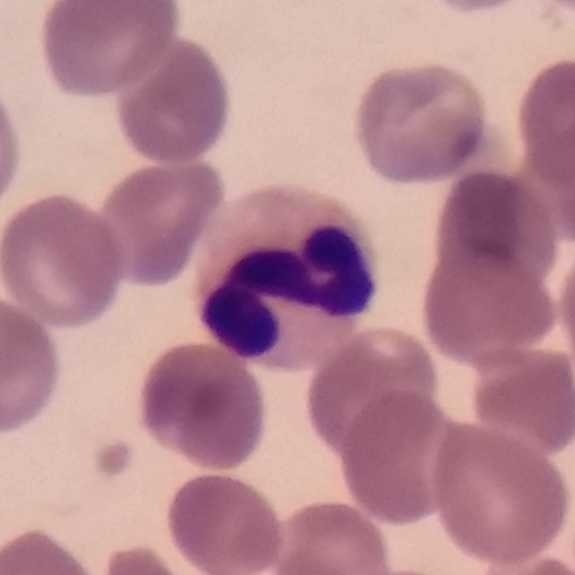
The cell shown is a neutrophil. Acquisition: Peripheral blood smear · stained with Giemsa.